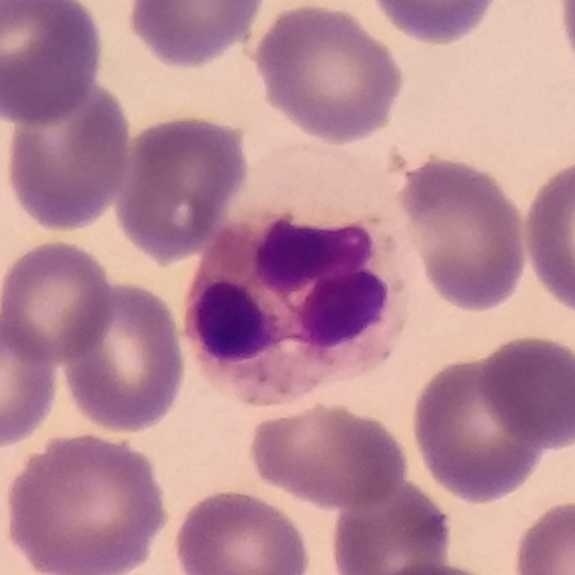 Context: Peripheral blood film.

The cell shown is a neutrophilic granulocyte.